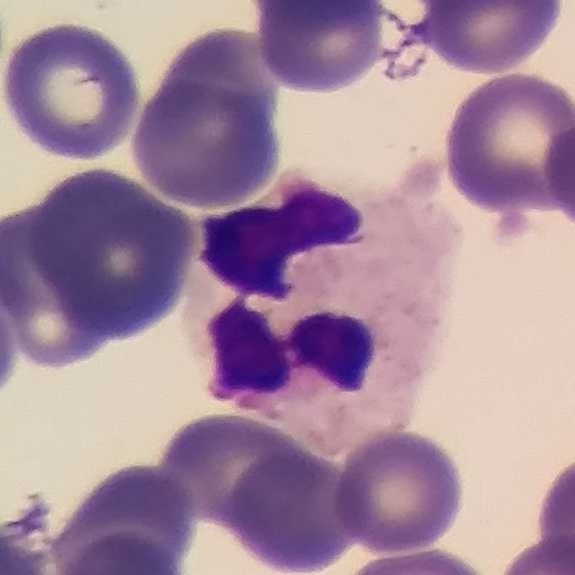 Classification — neutrophilic granulocyte. Giemsa stain; single white blood cell cropped from the smear photograph; peripheral blood film.